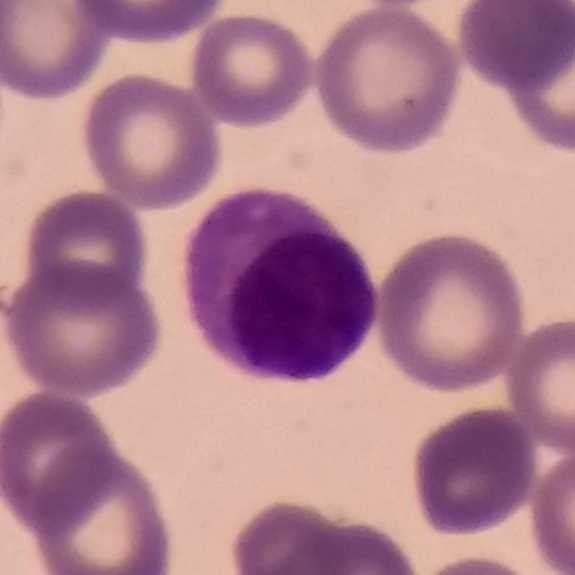 Image: Peripheral blood film. Morphology → lymphocyte.